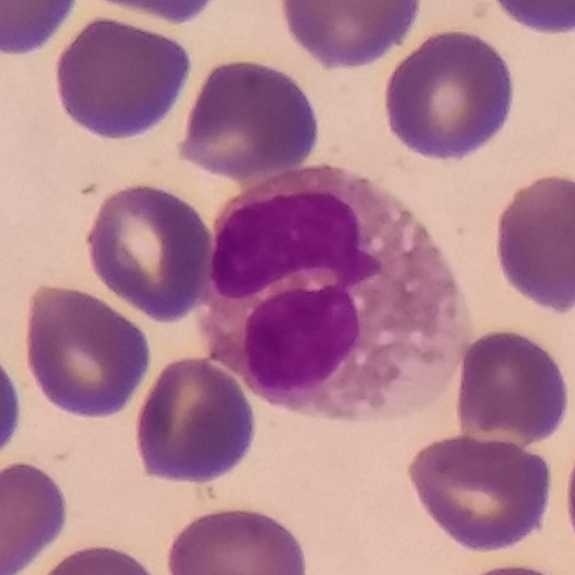 Image: Peripheral blood smear; single-cell field; imaged at 100×.
Single cell identified as an eosinophil.